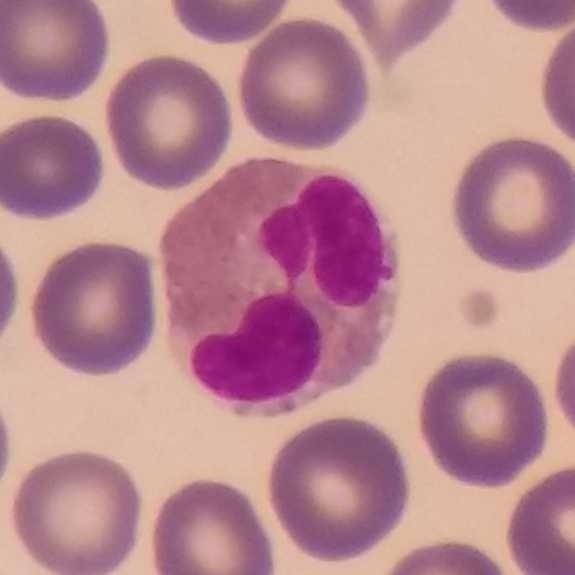Cell type — eosinophilic granulocyte.

Preparation: Peripheral blood smear.